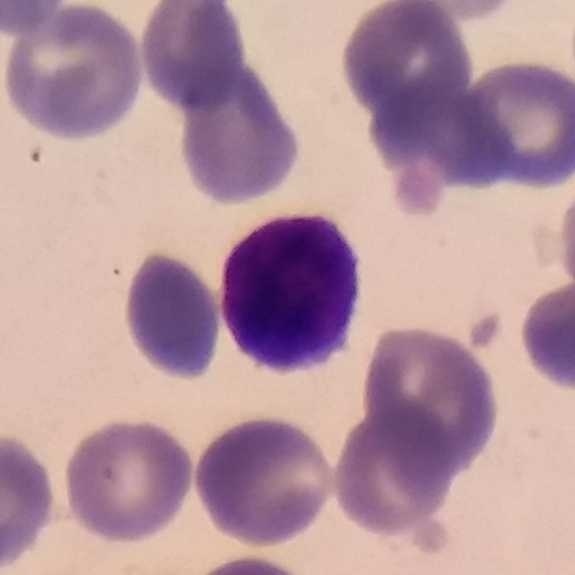Context: Peripheral blood film.

The white blood cell in this image is a lymphocyte.